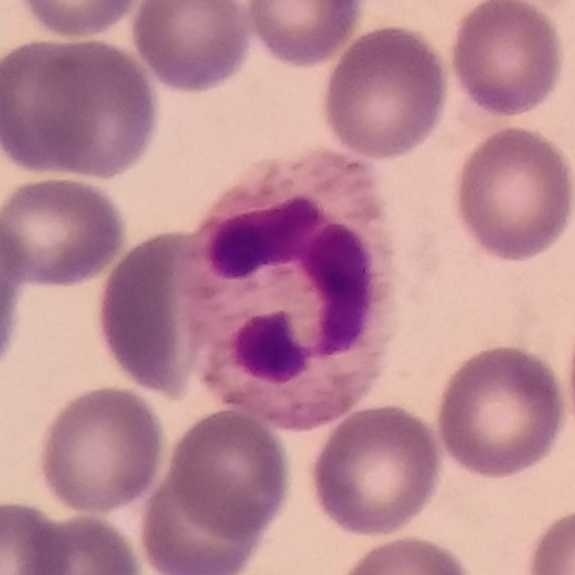 Image: Peripheral blood smear. Q: Which cell type is shown here?
A: This is a neutrophilic granulocyte.